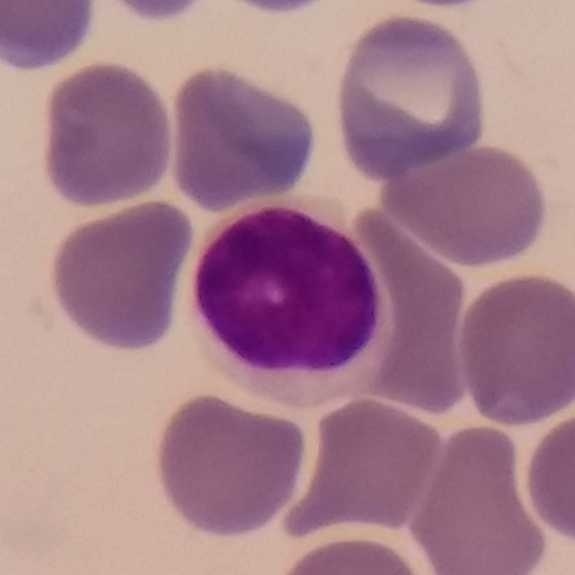
Showing a lymphocyte.
Giemsa stain; peripheral blood smear; smartphone photomicrograph.